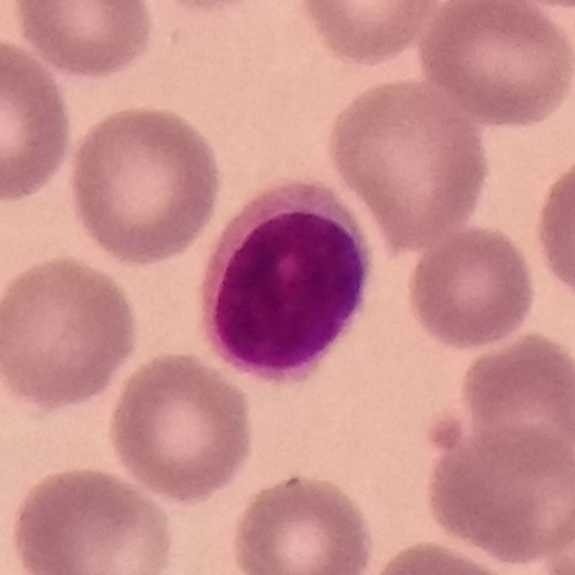

Acquisition: Single-cell field. Peripheral blood film. Morphology — lymphocyte.